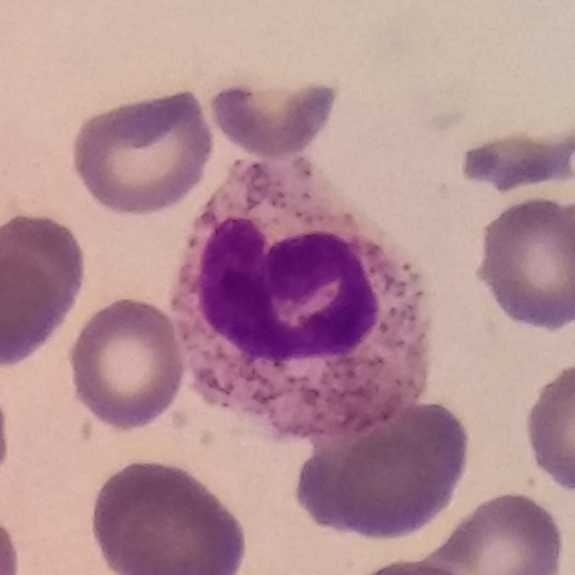Impression — neutrophil.

Context: 575×575; Giemsa-stained; peripheral blood smear.